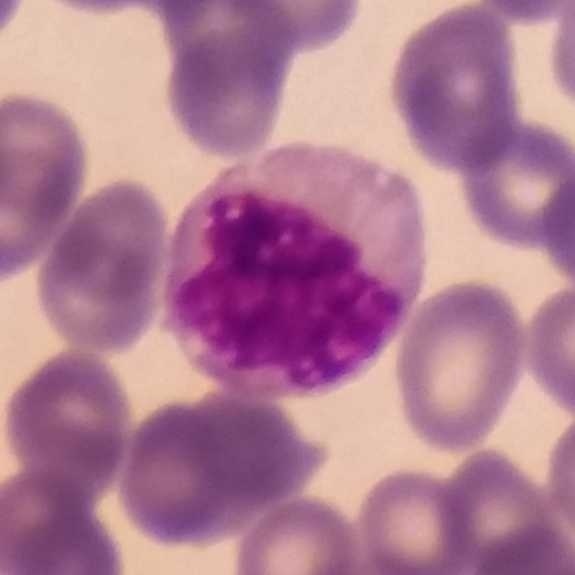Morphology → monocyte. Cropped to one leukocyte · peripheral blood film.